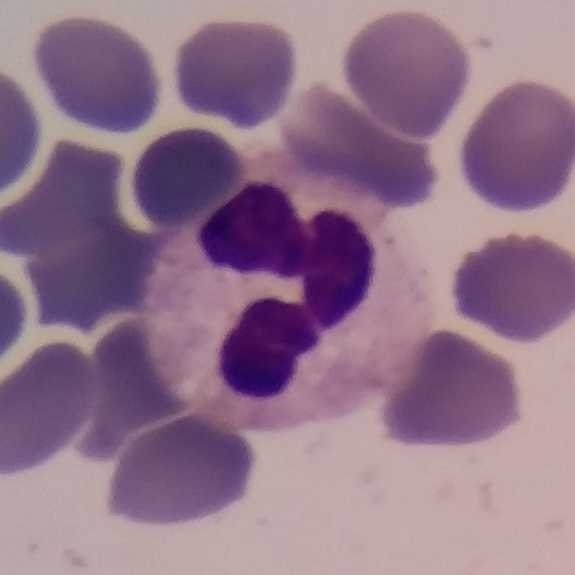White blood cell type: neutrophil granulocyte.